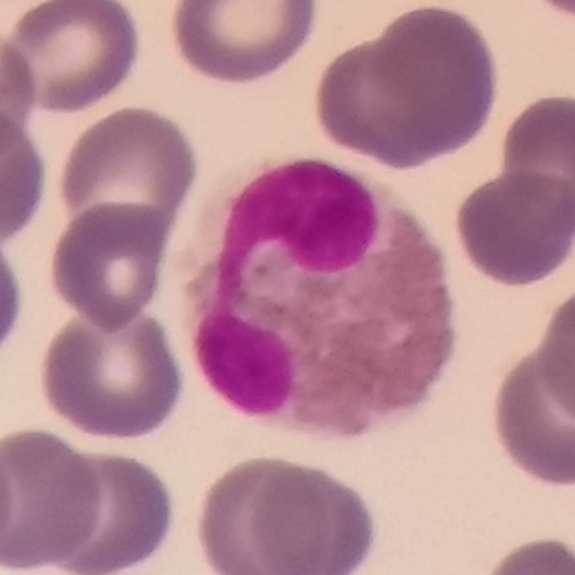Single cell identified as an eosinophilic granulocyte.